Peripheral blood smear. 575×575: 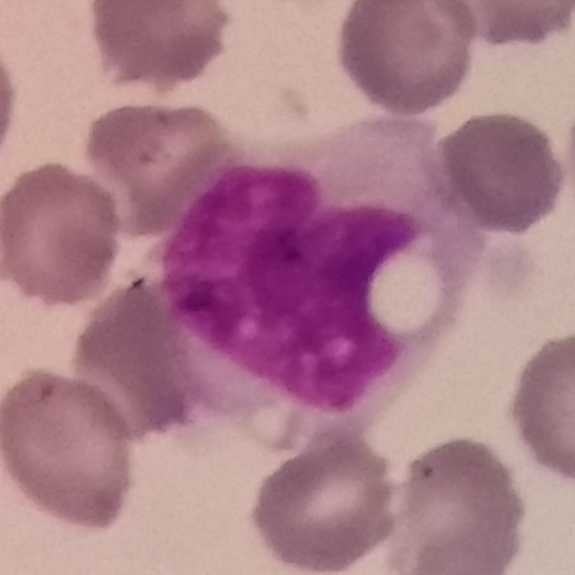Q: What is shown here?
A: This is a monocyte.